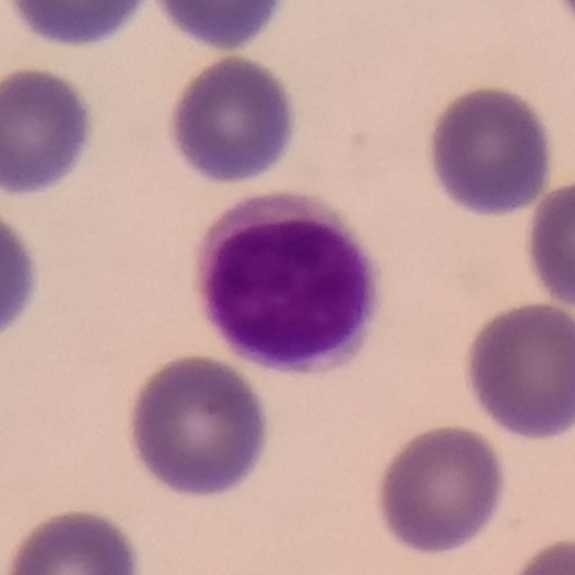 Peripheral blood film. Smartphone photomicrograph.

White blood cell type = lymphocyte.